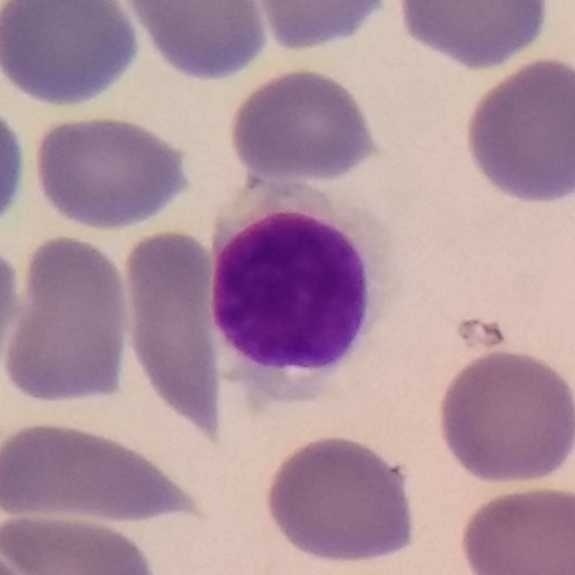 Peripheral blood smear · 575×575 px · magnification 100×.

The white blood cell in this image is a lymphocyte.